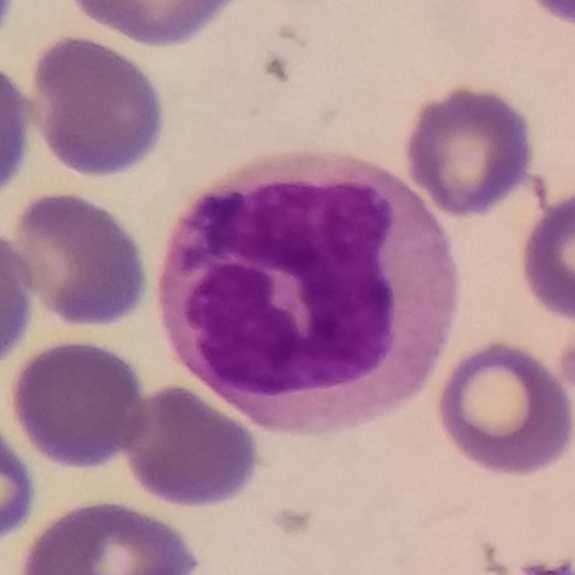
Specimen: peripheral blood film.
Cell: monocyte.
Lineage: myeloid.